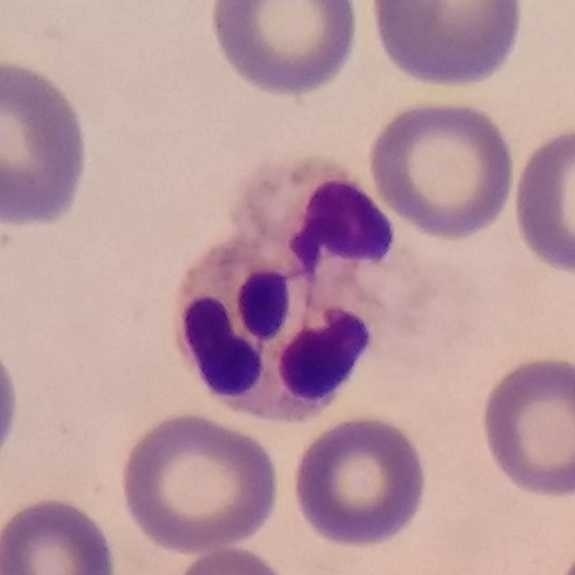

Showing a neutrophilic granulocyte.
Image: Peripheral blood film · 575 by 575 pixels.